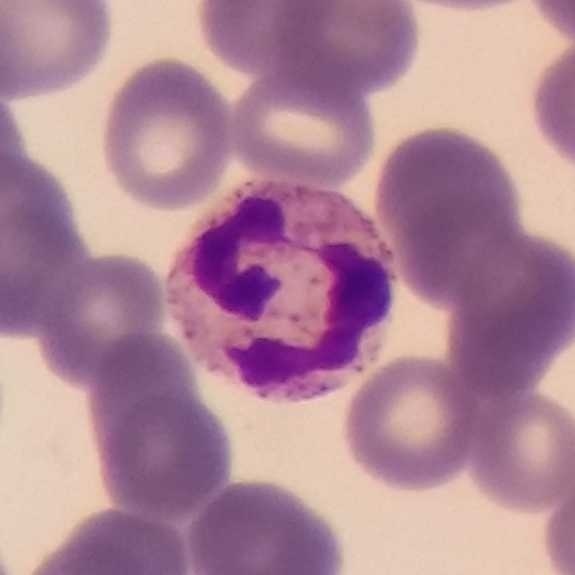 Single cell identified as a neutrophil. Peripheral blood film.